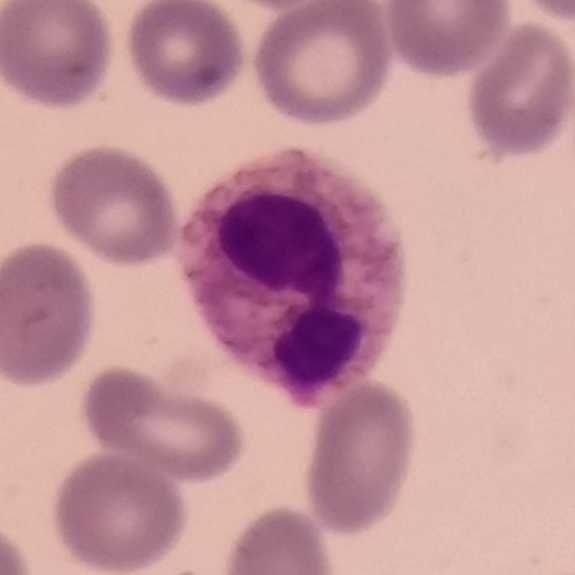
Context: Peripheral blood smear.
The white blood cell in this image is a neutrophil granulocyte.